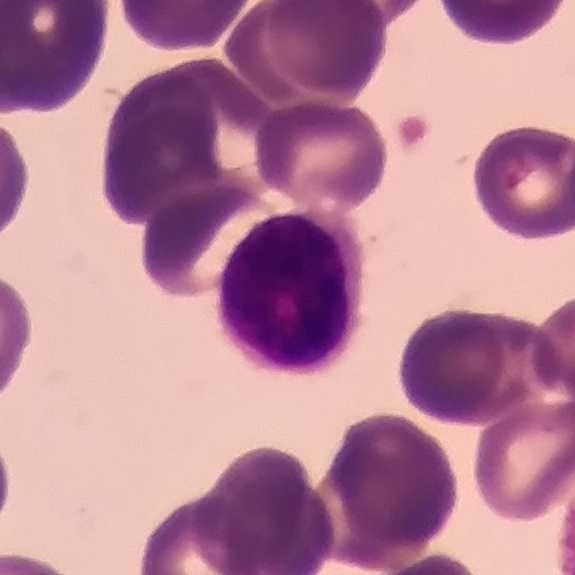 Specimen: peripheral blood smear.
Cell type: lymphocyte.